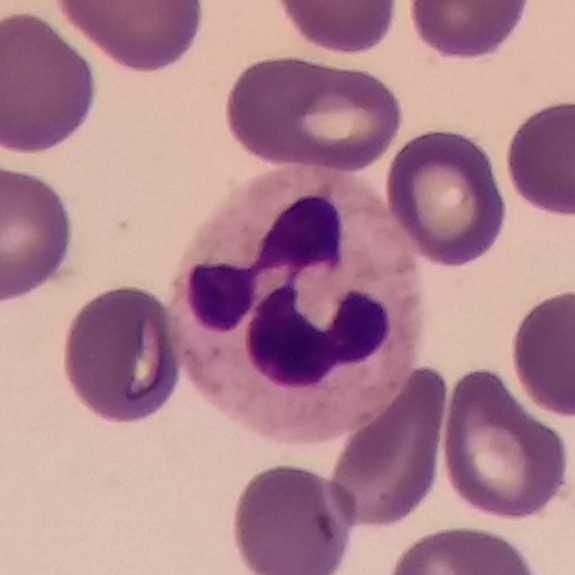 Context: Peripheral blood smear.
Cell — neutrophil granulocyte.